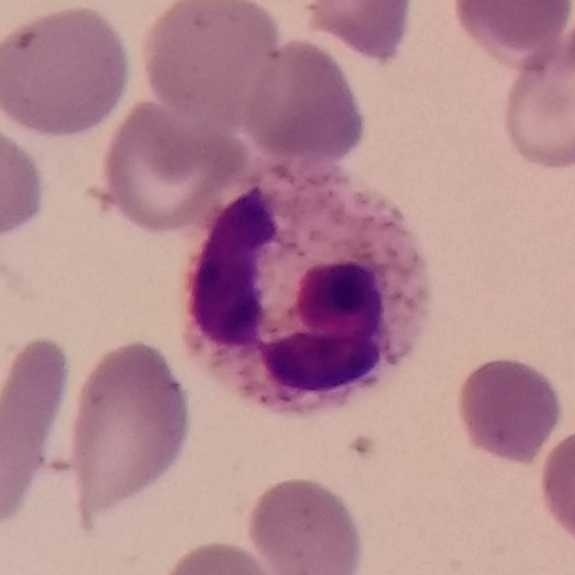Peripheral blood film. Morphology → neutrophilic granulocyte.